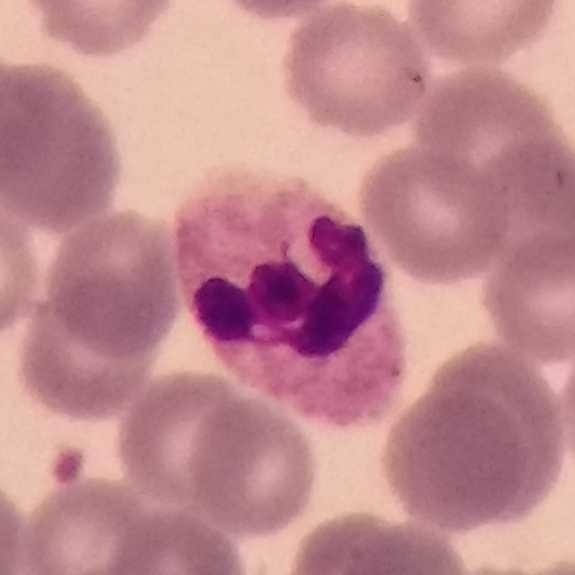 Preparation: Peripheral blood smear.
{"cell_type": "neutrophil granulocyte"}